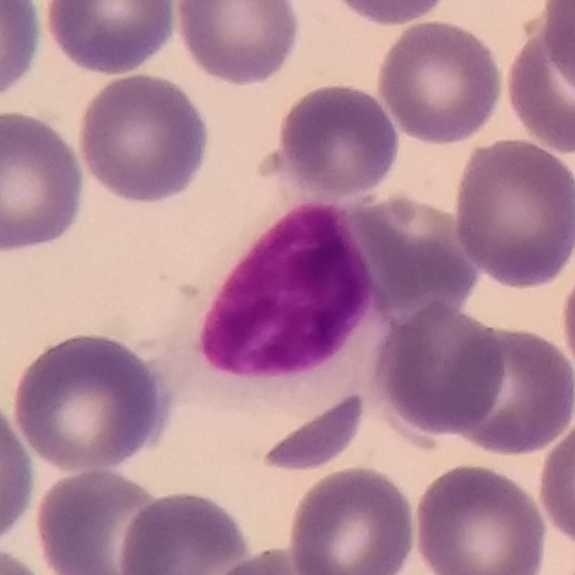 Morphology consistent with a lymphocyte. Preparation: Single-cell crop. Peripheral blood film.